100× magnification · peripheral blood film · Giemsa stain:
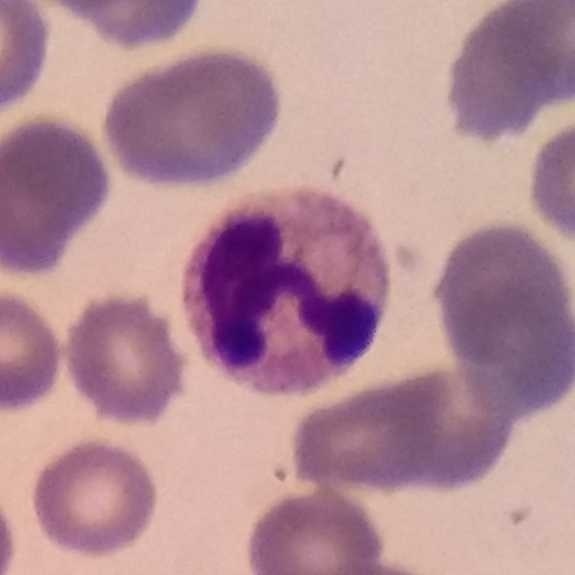 Single cell identified as a neutrophil.